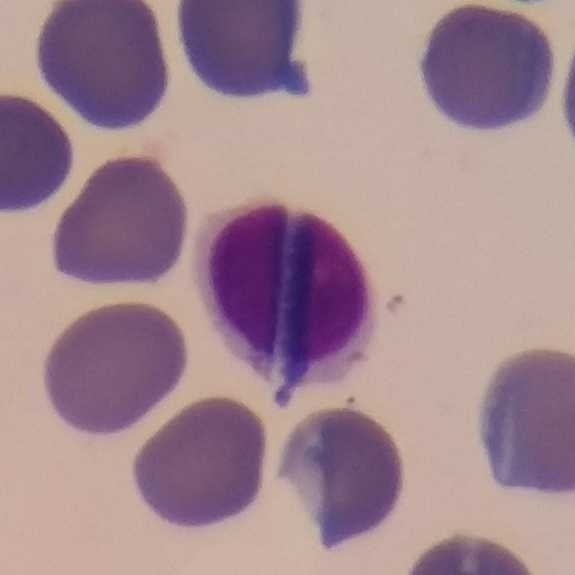
Q: Classify this leukocyte.
A: A lymphocyte. Peripheral blood film.